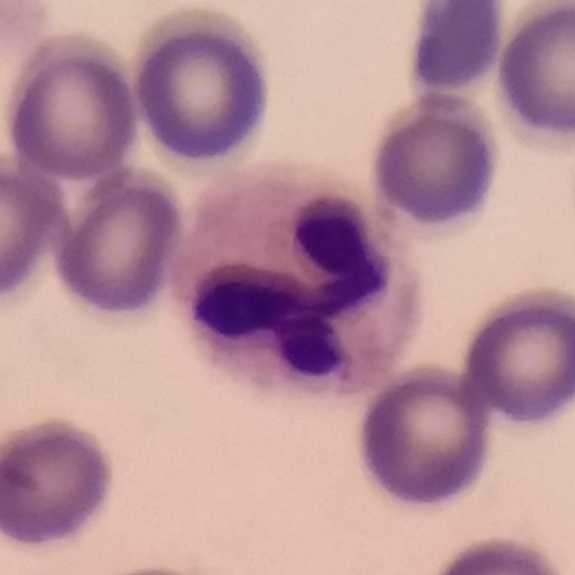
Morphology consistent with a neutrophilic granulocyte.
Peripheral blood smear.